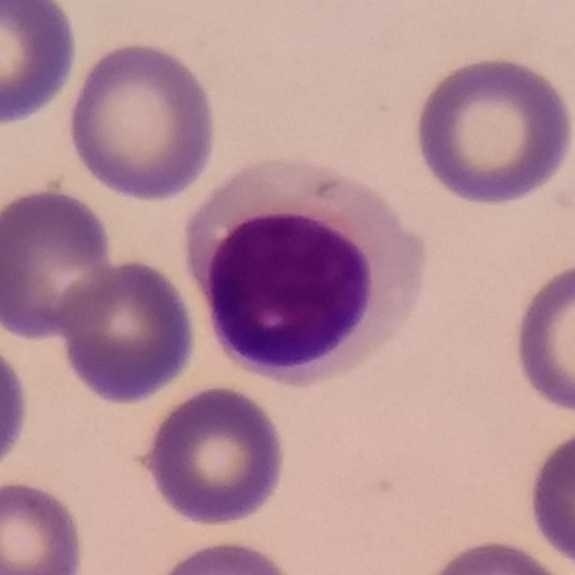 Image: Single-cell field. Peripheral blood film. Smartphone camera mounted on the microscope eyepiece.

{"cell_type": "lymphocyte", "lineage": "lymphoid"}